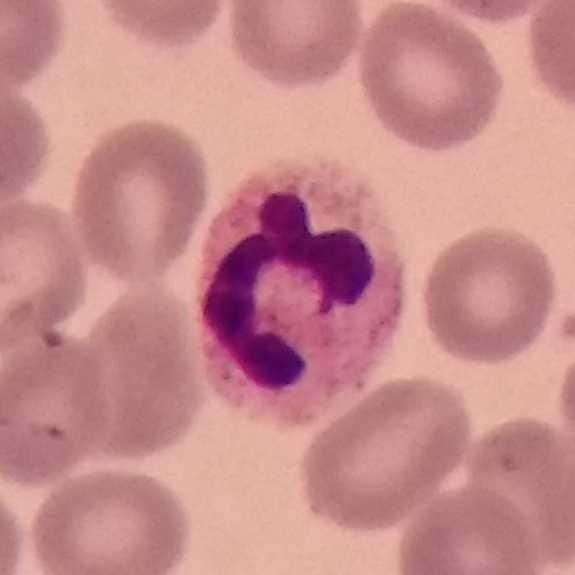Specimen: peripheral blood film.
Classification: neutrophilic granulocyte.
Lineage: myeloid.